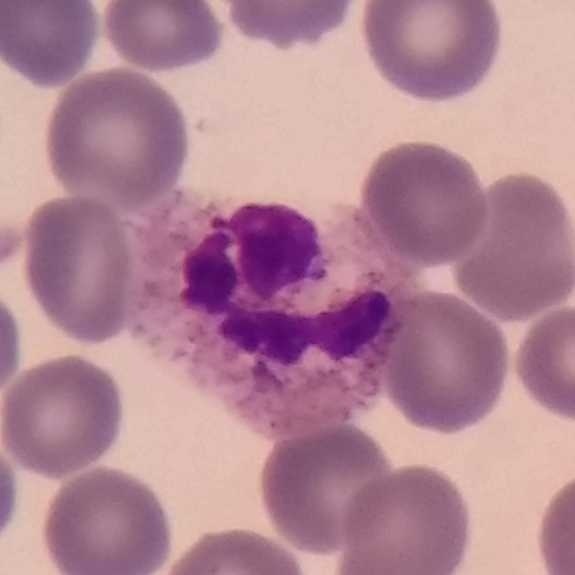

Q: Identify the cell.
A: It is a neutrophilic granulocyte. Image: Peripheral blood smear.